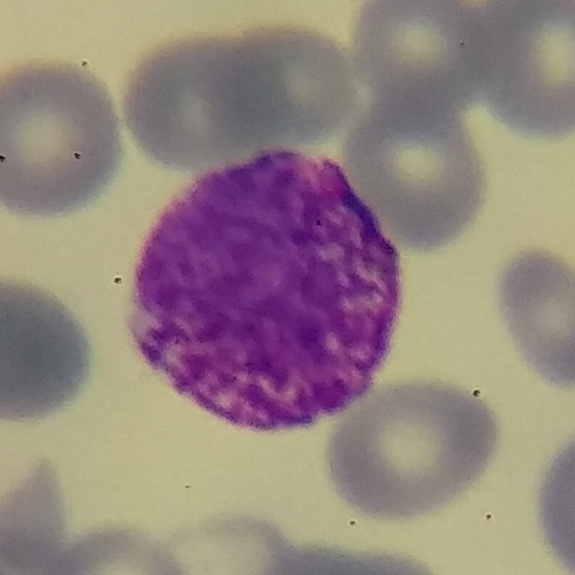Preparation: Peripheral blood film. {"cell_type": "basophil"}